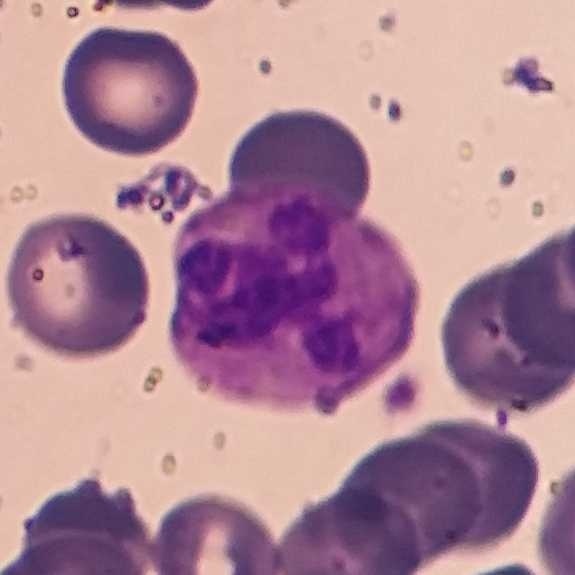 The morphological class is neutrophil granulocyte.

Image size 575×575; peripheral blood film; 100× magnification.